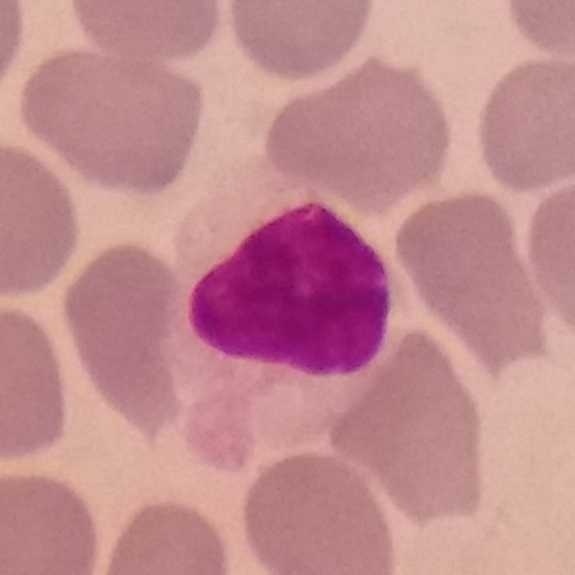Single cell identified as a lymphocyte.